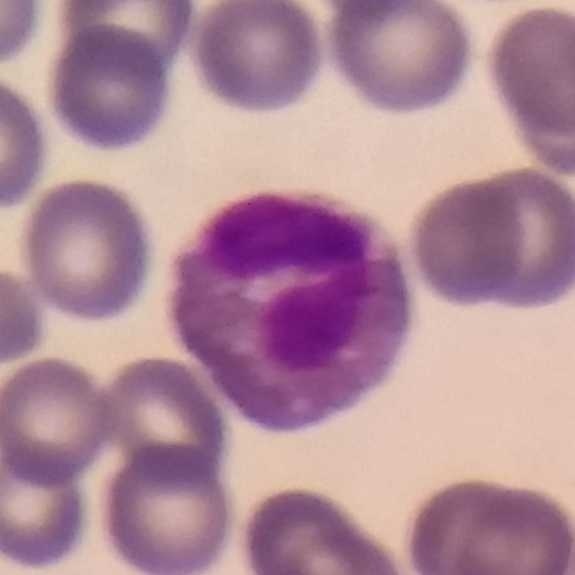Morphology — eosinophilic granulocyte.
Acquisition: Smartphone photomicrograph; peripheral blood smear.